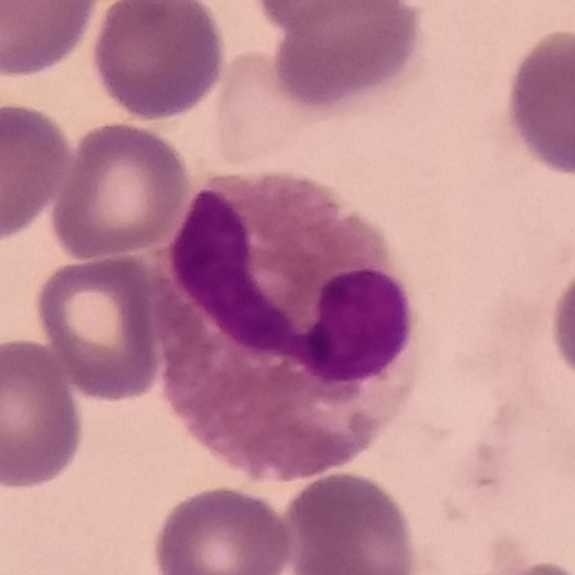 Peripheral blood smear showing an eosinophil.